Peripheral blood film · magnification 100×
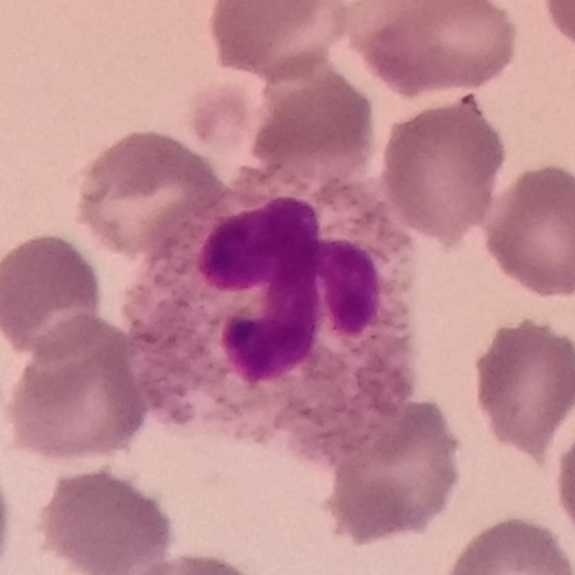

The white blood cell type is neutrophil.